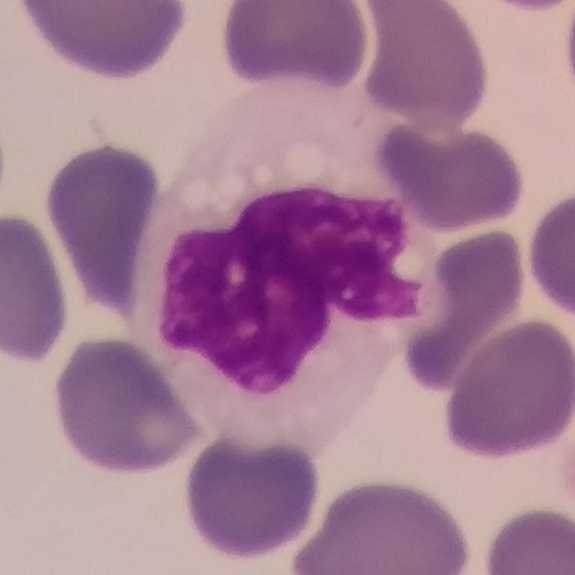Impression — monocyte.